Peripheral blood smear: 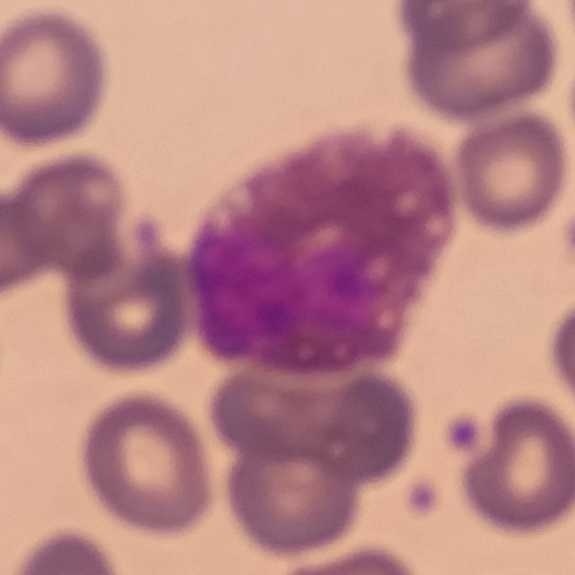The cell type is eosinophil.